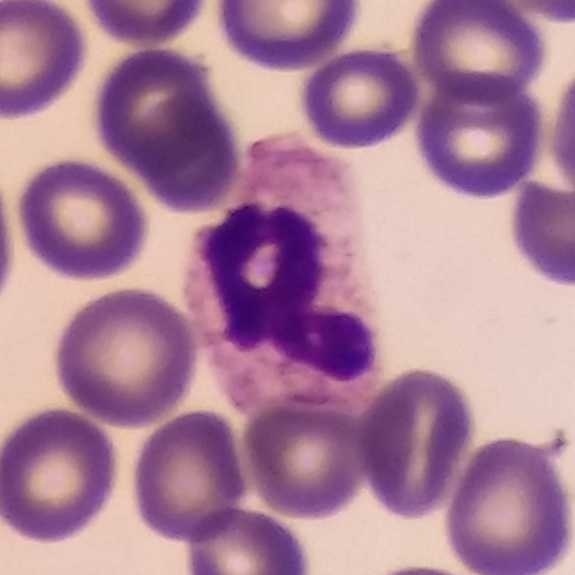

The cell type is neutrophil.